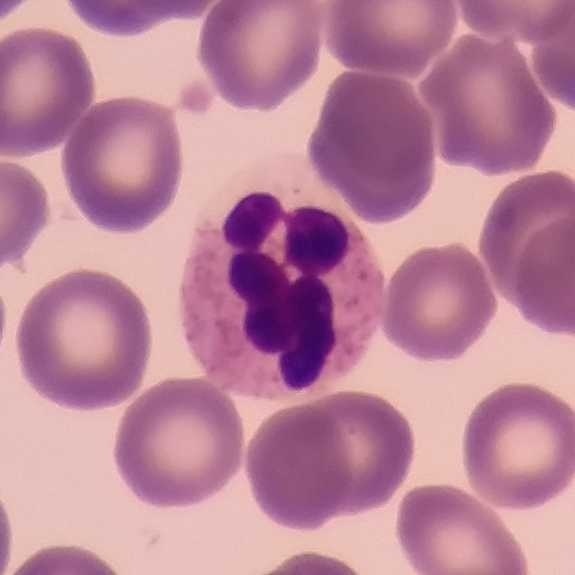 Specimen: peripheral blood film.
Classification: neutrophilic granulocyte.
Preparation: 575 by 575 pixels.